Giemsa stain; peripheral blood smear — 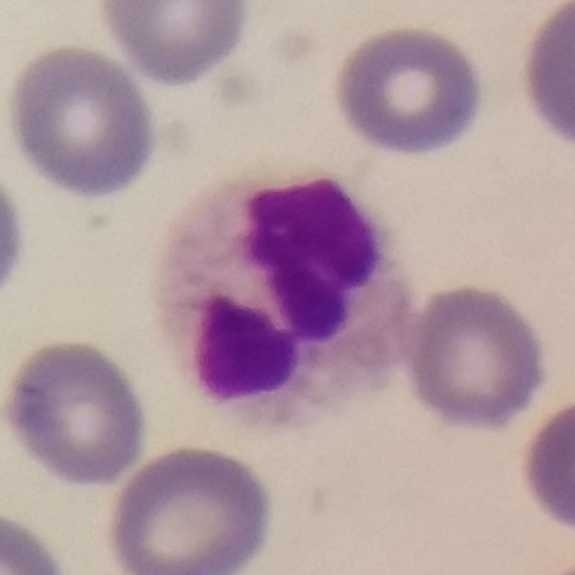 Specimen: peripheral blood smear.
Classification: neutrophil.